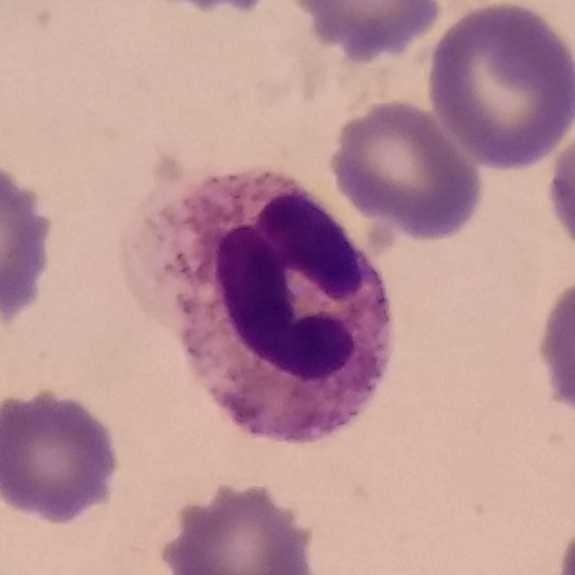
Morphology — neutrophil.